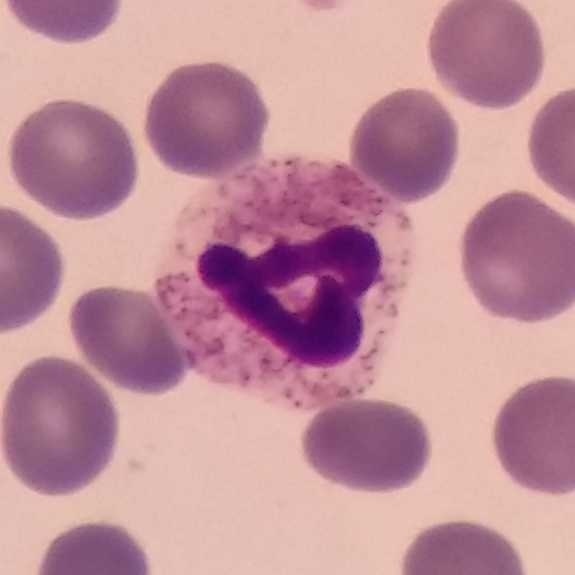 Morphology — neutrophil granulocyte.

Peripheral blood smear; 575×575 px.